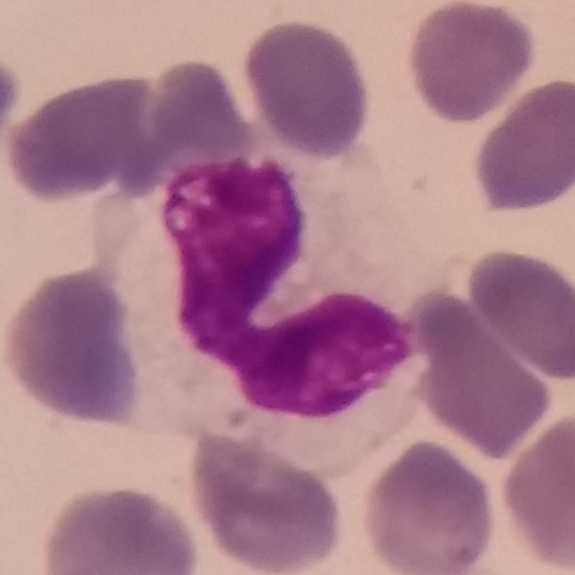 Acquisition: Peripheral blood film.
Showing a monocyte.